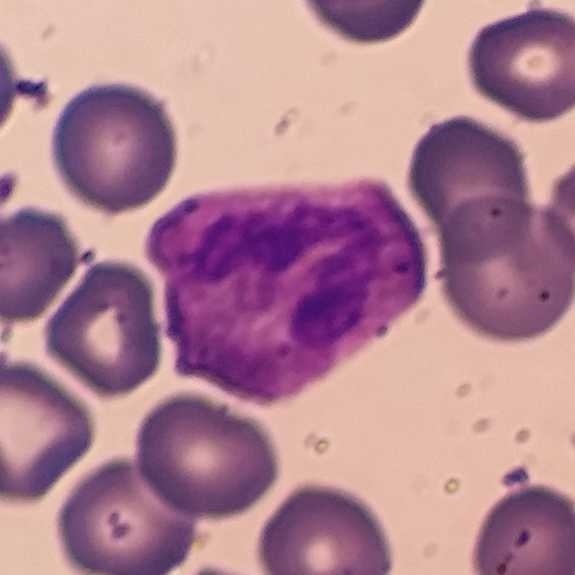 Cell type = neutrophil granulocyte.
Context: Peripheral blood film · smartphone photomicrograph.